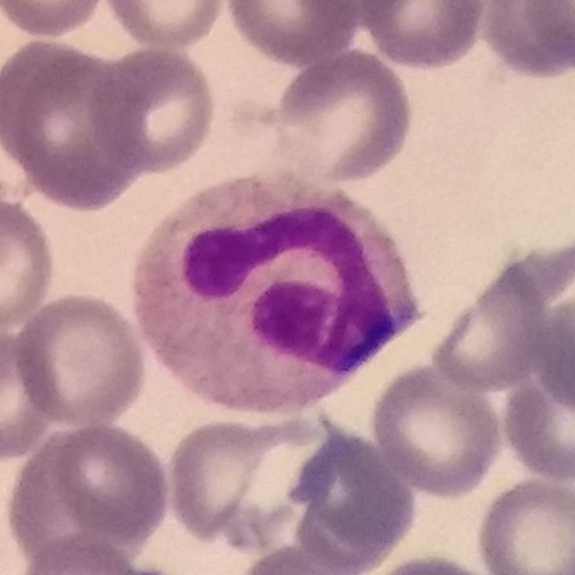Morphology consistent with a neutrophilic granulocyte.
Peripheral blood film.